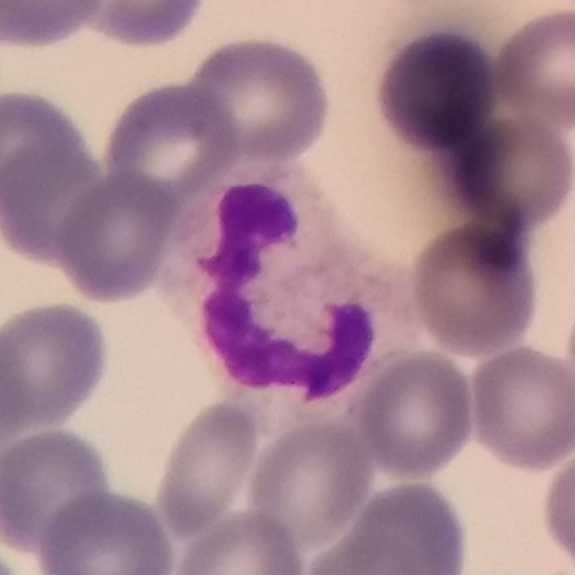
Preparation: Peripheral blood smear.

The white blood cell in this image is a neutrophil.